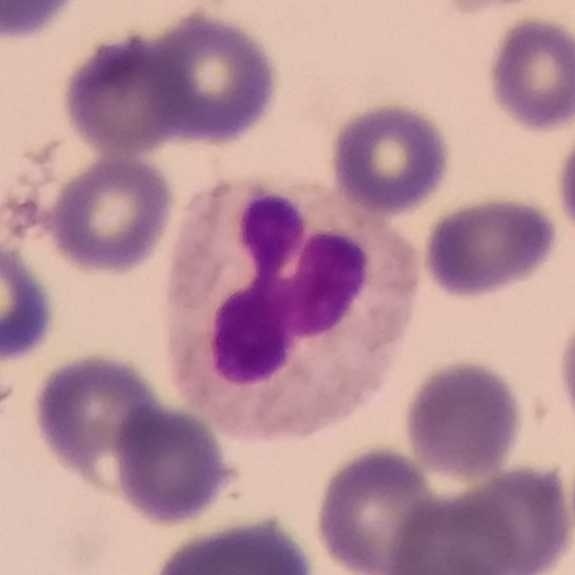Morphology → neutrophil granulocyte.

Peripheral blood film.